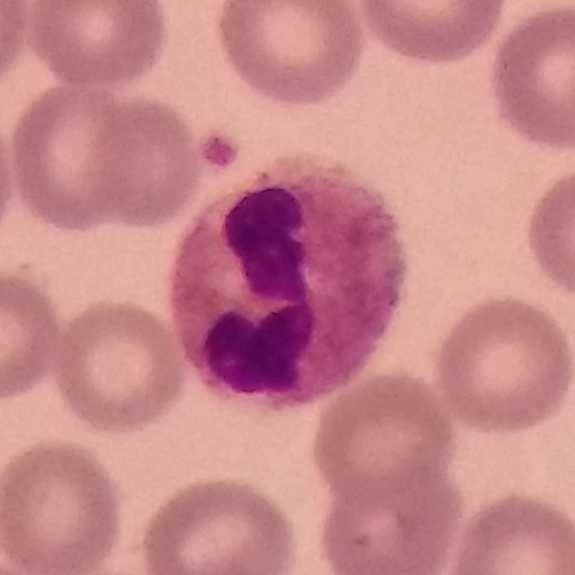

Preparation: Peripheral blood film. Smartphone camera mounted on the microscope eyepiece.

The classification is neutrophilic granulocyte.